Image size 575×575 · peripheral blood film:
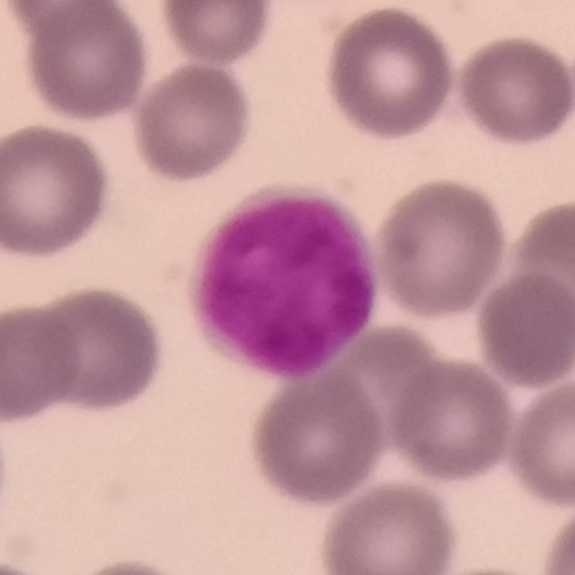 Q: What cell is this?
A: A lymphocyte.